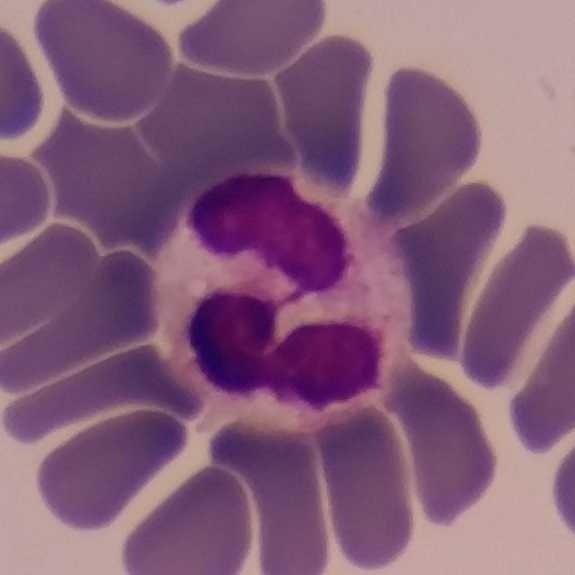 Peripheral blood smear showing a neutrophil.